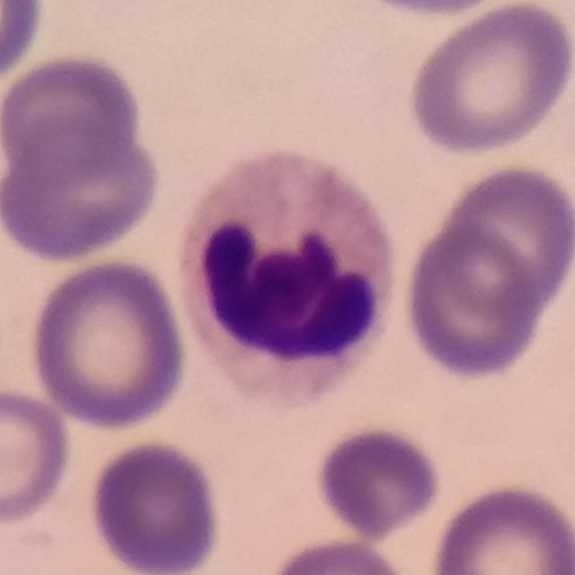 Identified as a neutrophil.
Context: Giemsa-stained · peripheral blood film.